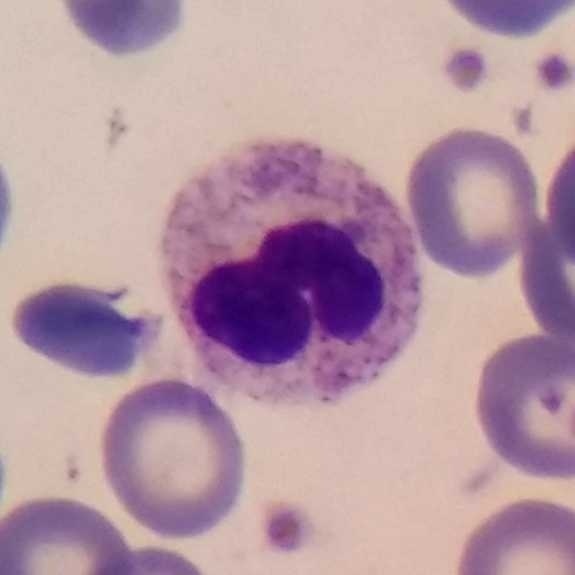 Q: What is this?
A: A neutrophil granulocyte.
Peripheral blood film.